Peripheral blood smear
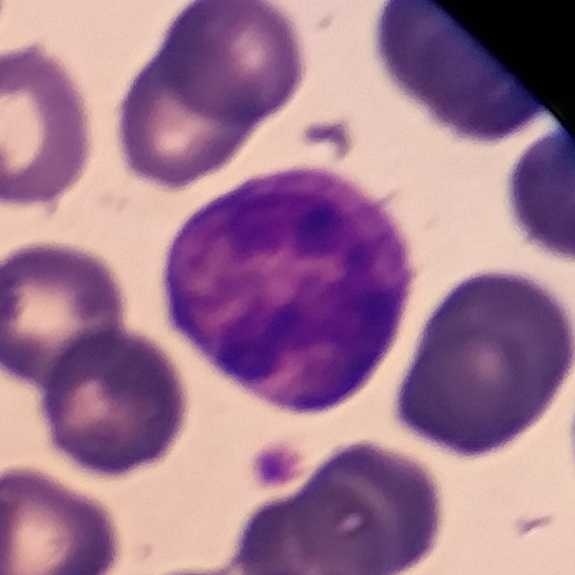
Cell = neutrophil granulocyte.